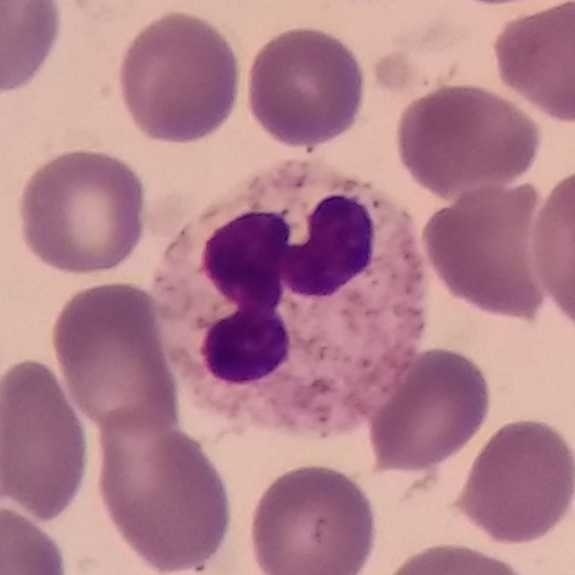Morphological class: neutrophilic granulocyte.

Image: Smartphone photomicrograph; peripheral blood smear.